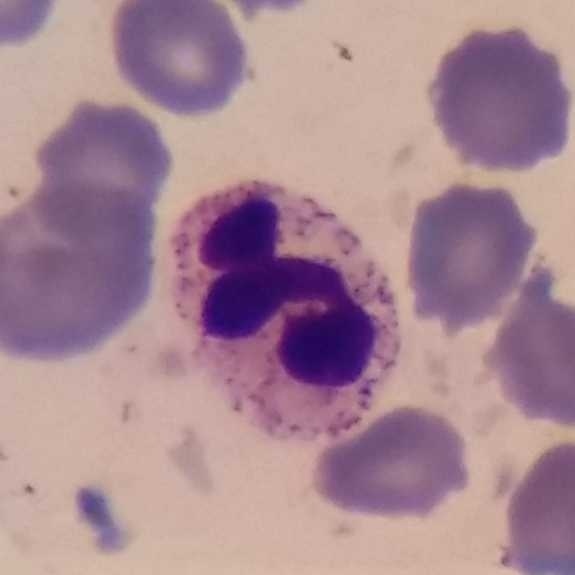A neutrophil granulocyte.